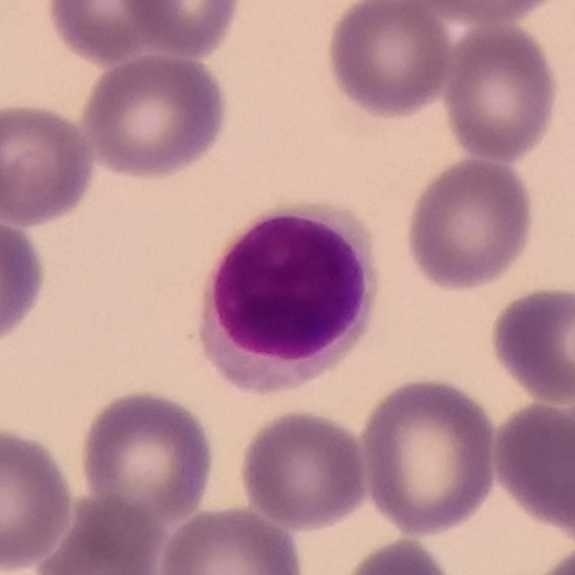Single white blood cell cropped from the smear photograph · peripheral blood smear.
The cell shown is a lymphocyte.